Image size 575×575; peripheral blood film
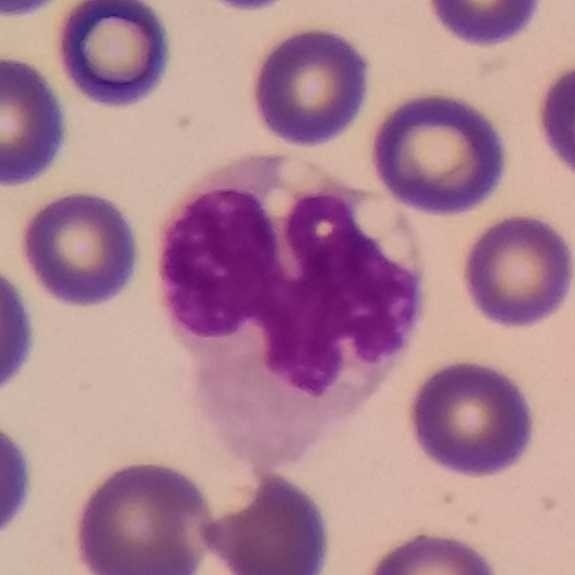White blood cell type: monocyte.